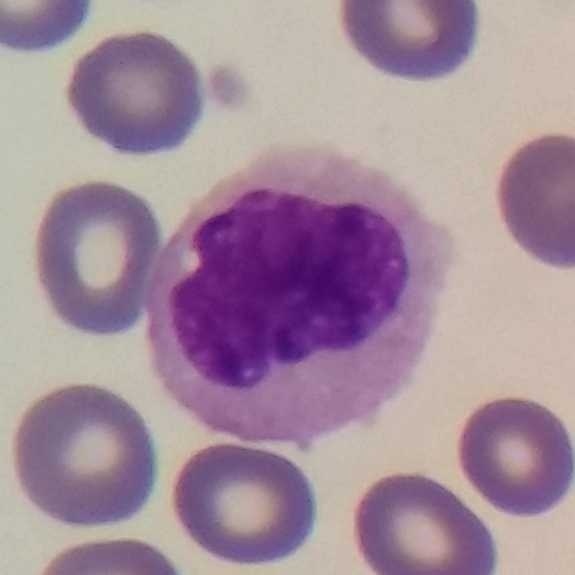 Specimen: peripheral blood smear.
Cell: monocyte.

Image: Single-cell crop.